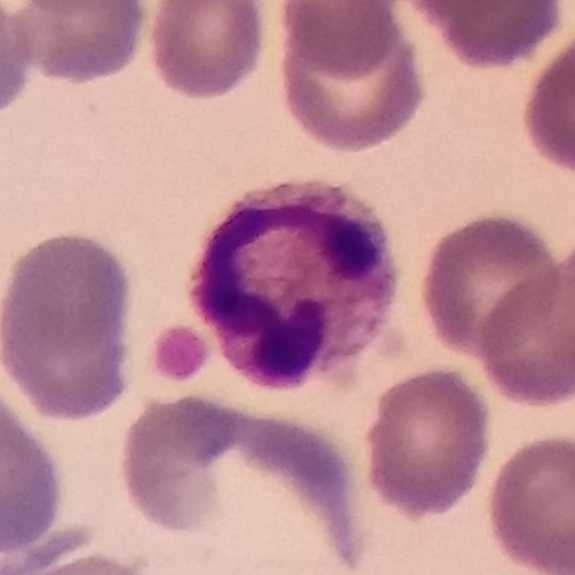 Peripheral blood smear.
This is a neutrophil.